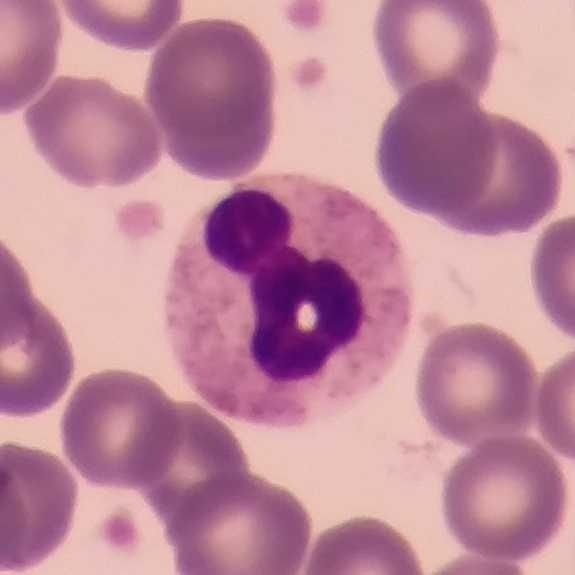

Acquisition: Peripheral blood smear.

Cell — neutrophilic granulocyte.